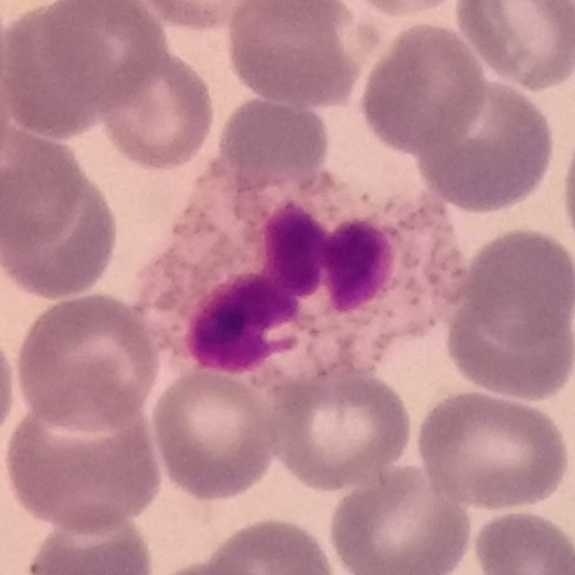

White blood cell type — neutrophil.
Preparation: Peripheral blood film. Image size 575×575.